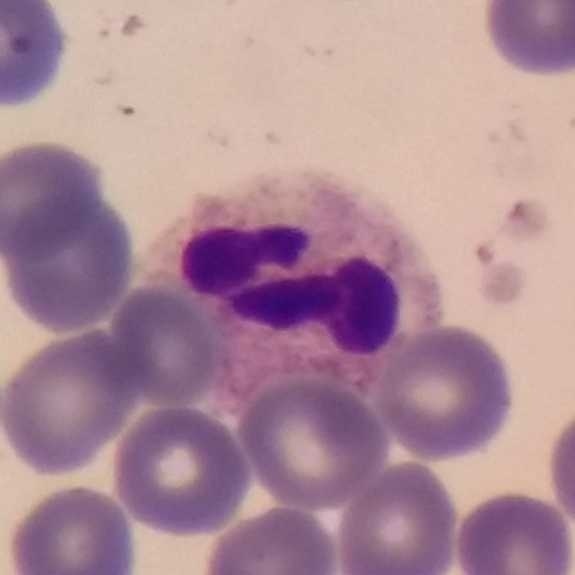 Morphology consistent with a neutrophil granulocyte.

Context: 575×575; peripheral blood smear.